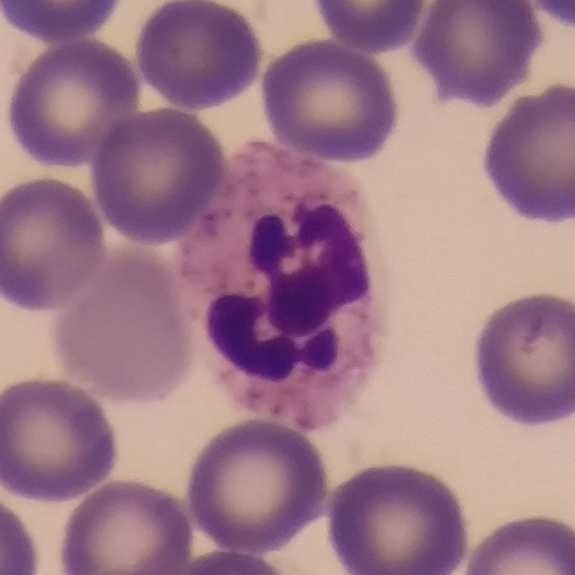
Morphological class — neutrophil granulocyte.

Preparation: Peripheral blood smear.